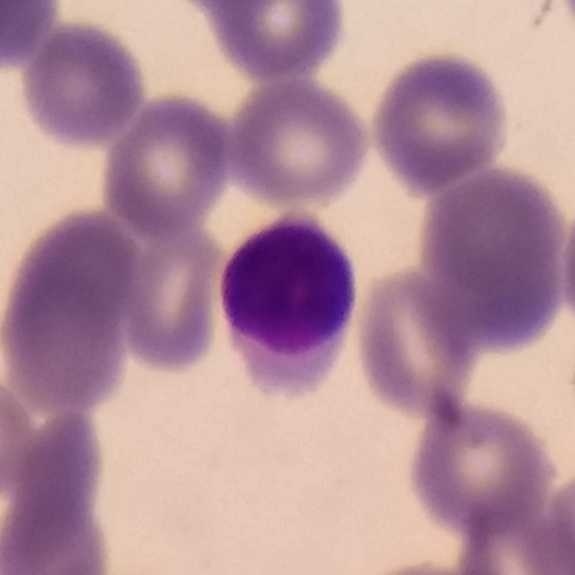
Preparation: Single-cell crop; 100× magnification; peripheral blood smear. A lymphocyte.